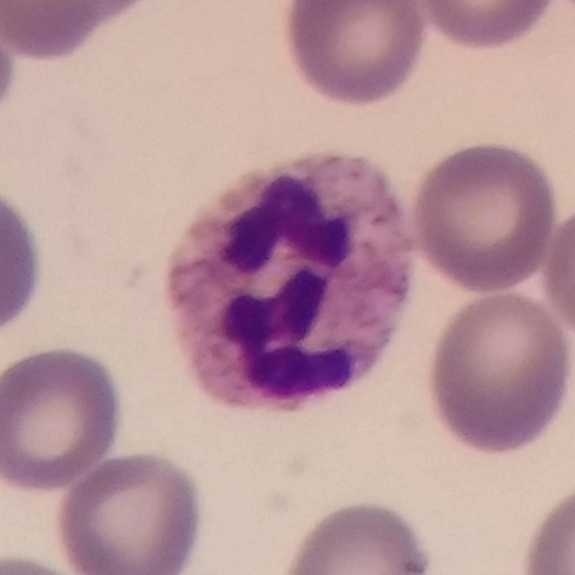 Preparation: Peripheral blood film.
Neutrophilic granulocyte.